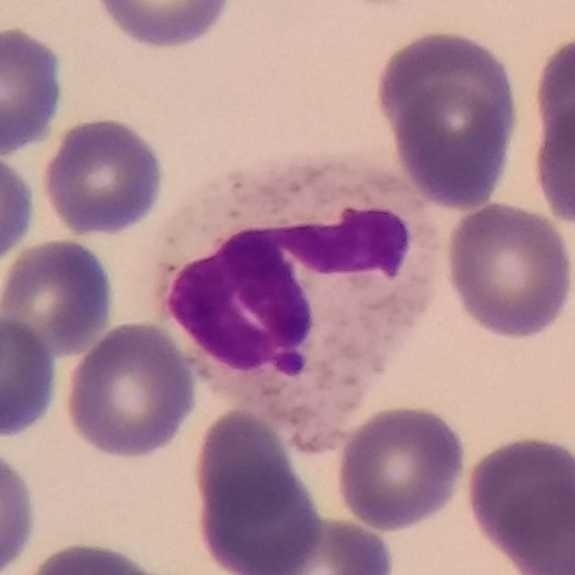White blood cell type: neutrophilic granulocyte. Giemsa stain · peripheral blood film.